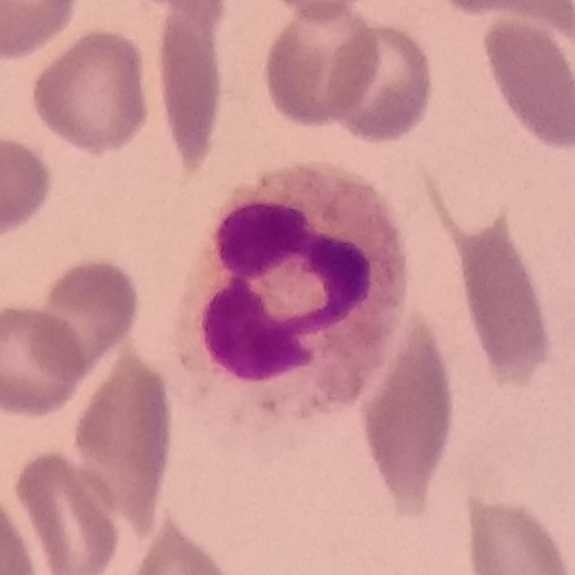Identified as a neutrophil granulocyte.